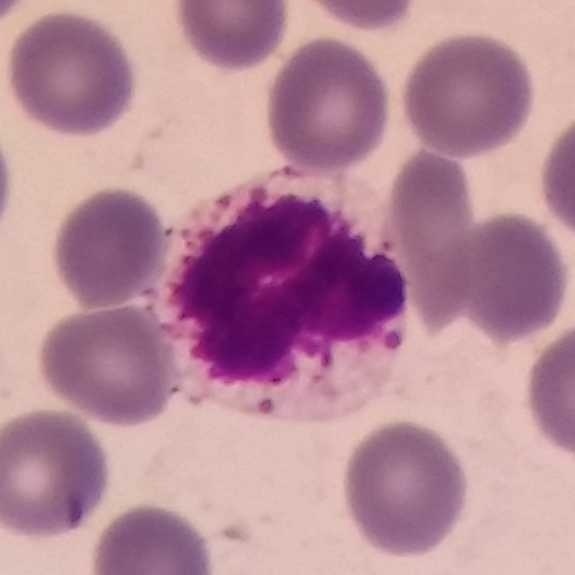

White blood cell from a peripheral blood smear: neutrophil granulocyte.